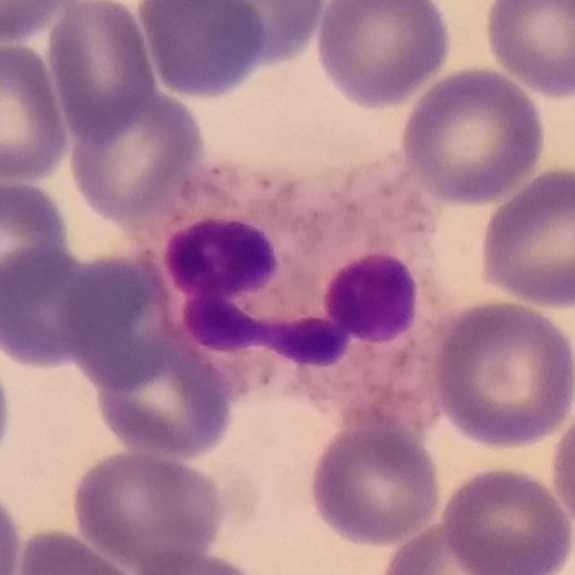A neutrophilic granulocyte on a peripheral blood smear.